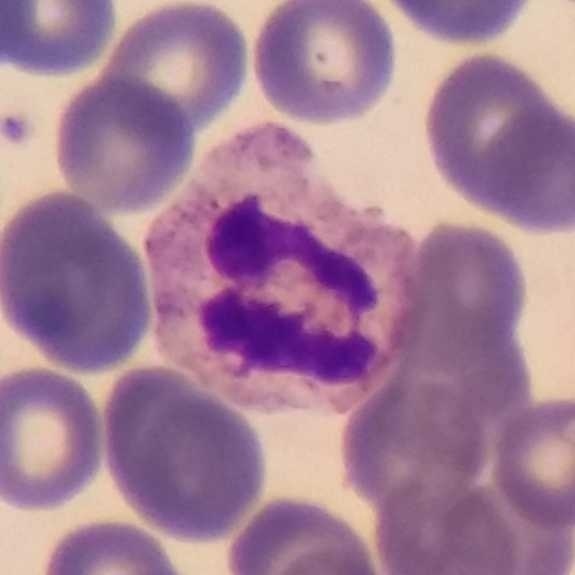Acquisition: Giemsa-stained. Peripheral blood smear.

Cell type — neutrophil granulocyte.